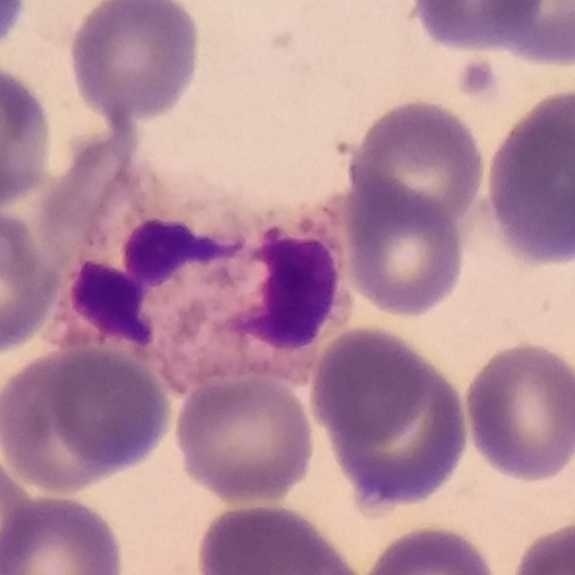 Specimen: peripheral blood smear.
Morphological class: neutrophilic granulocyte.
Lineage: myeloid.